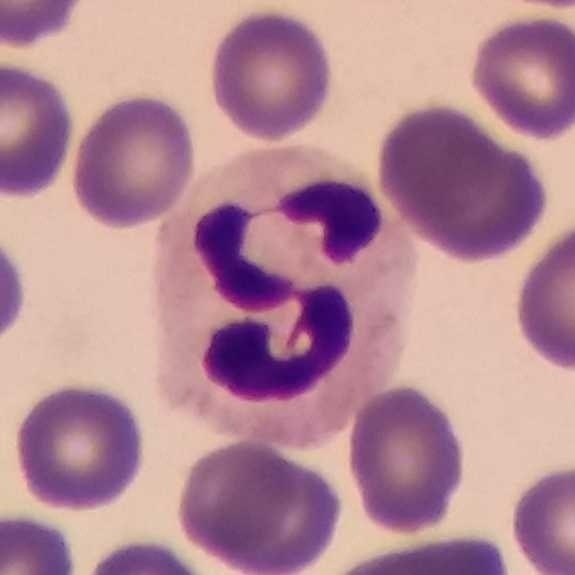 Image size 575×575 · peripheral blood film.
Q: What is shown here?
A: It is a neutrophil.